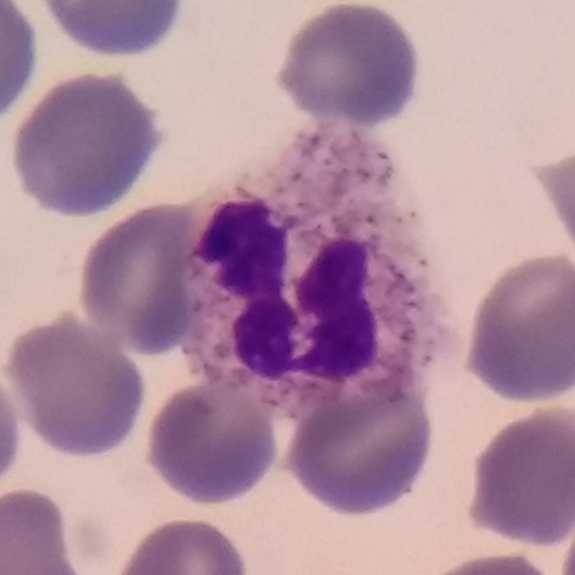

This is a neutrophil granulocyte.